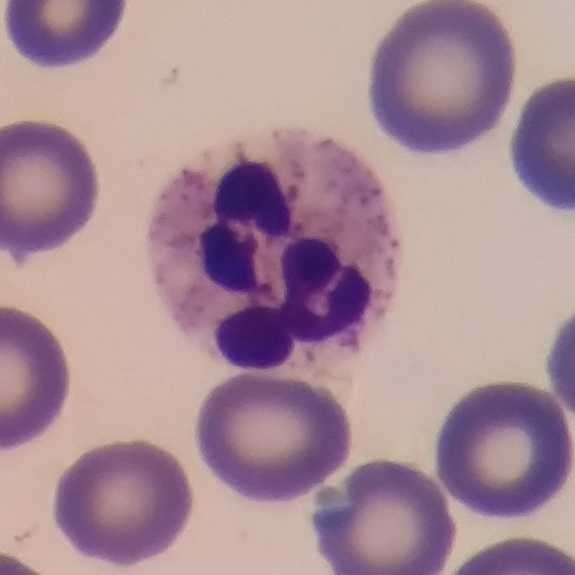

A neutrophil granulocyte. Acquisition: Giemsa stain. Magnification 100×. Peripheral blood film.